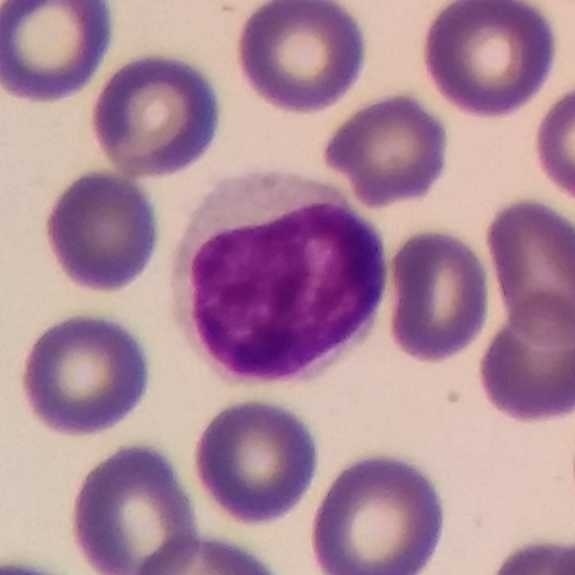
Identified as a lymphocyte. Peripheral blood film.